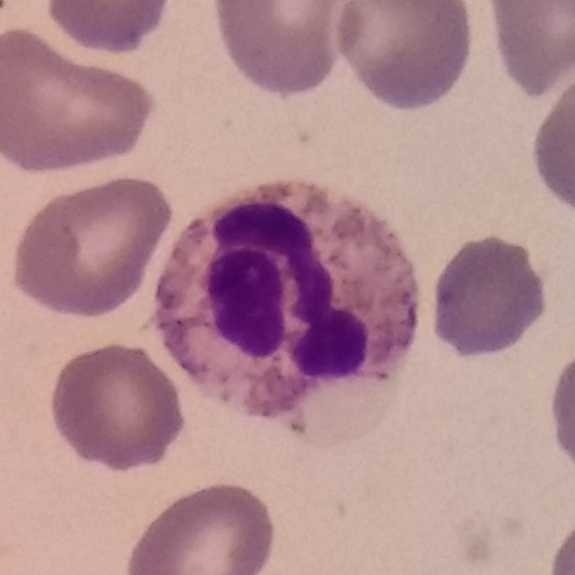 The cell shown is a neutrophil.